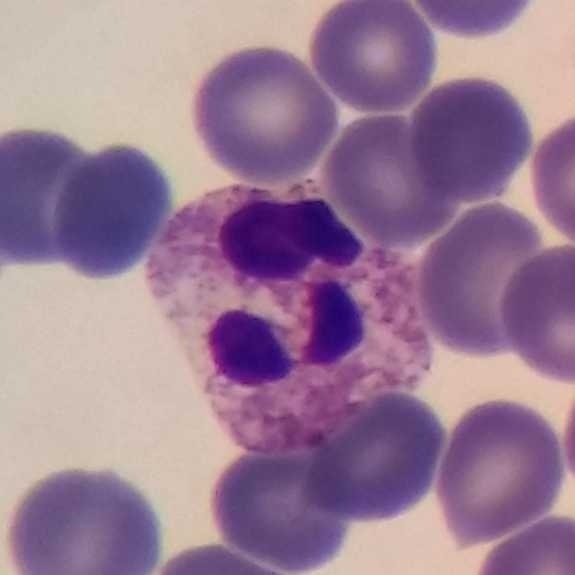

Q: Which type of white blood cell is this?
A: A neutrophilic granulocyte.